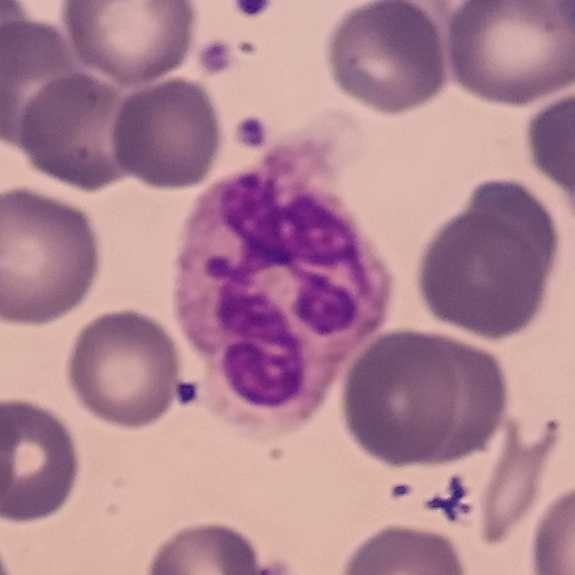 Cell type: neutrophil.